Peripheral blood smear:
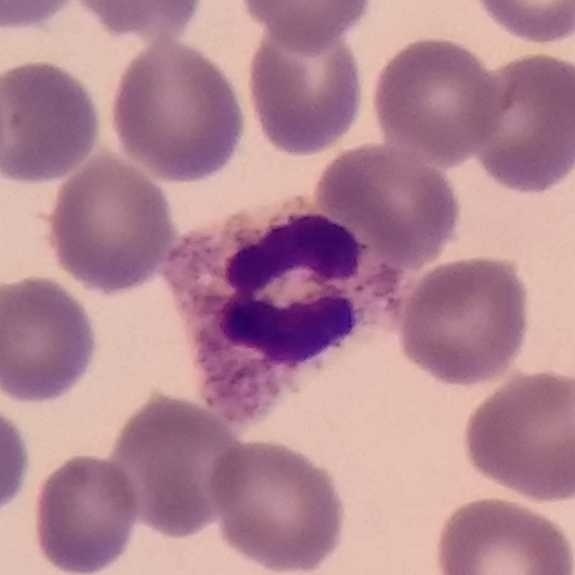

Cell type: neutrophil.